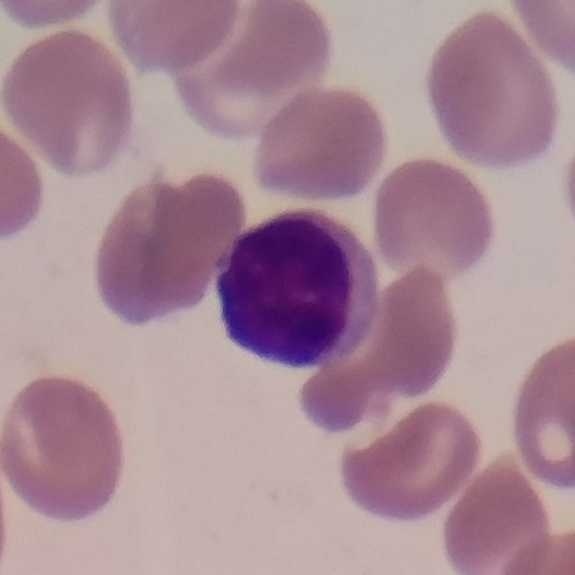 Preparation: Peripheral blood film; single white blood cell cropped from the smear photograph; Giemsa-stained. The white blood cell in this image is a lymphocyte.